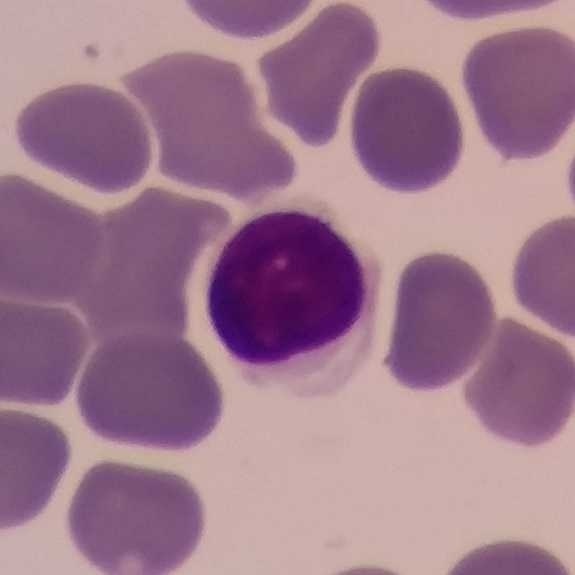Context: Smartphone photomicrograph; peripheral blood smear.
Q: What type of cell is this?
A: It is a lymphocyte.